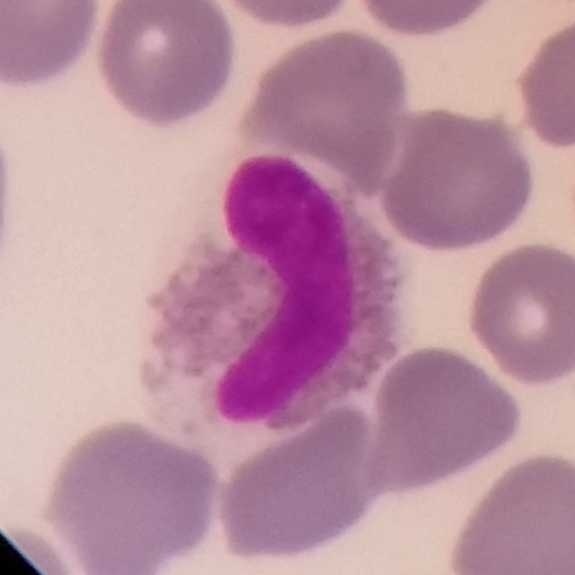Q: Identify the cell.
A: This is an eosinophilic granulocyte. Image: Peripheral blood film.